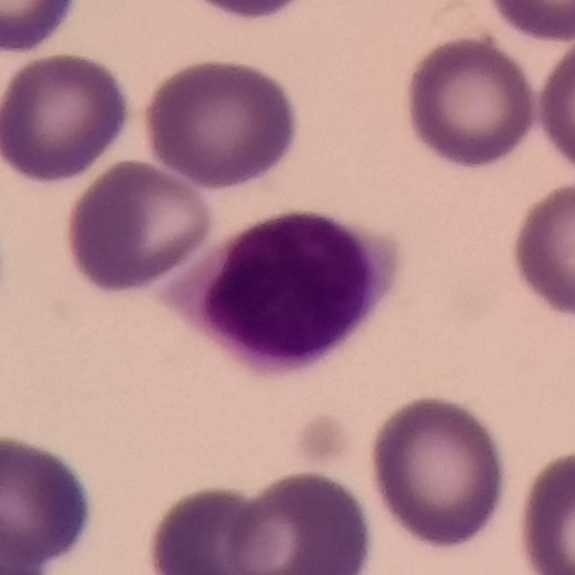Morphological class: lymphocyte. Acquisition: Peripheral blood film. Single white blood cell cropped from the smear photograph.